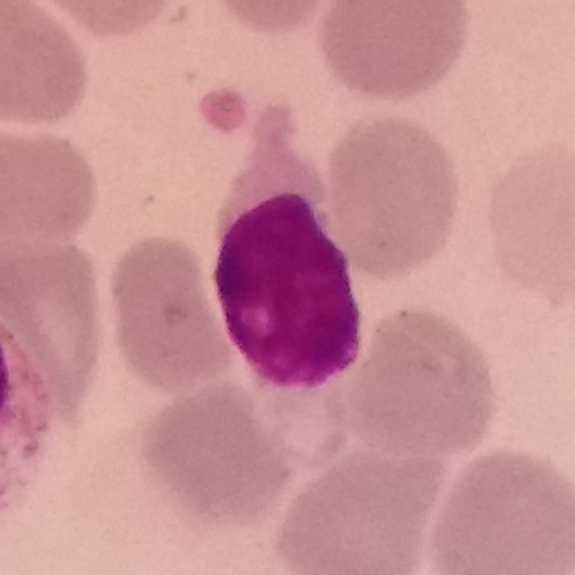Specimen: peripheral blood smear.
Cell: lymphocyte.
Lineage: lymphoid.